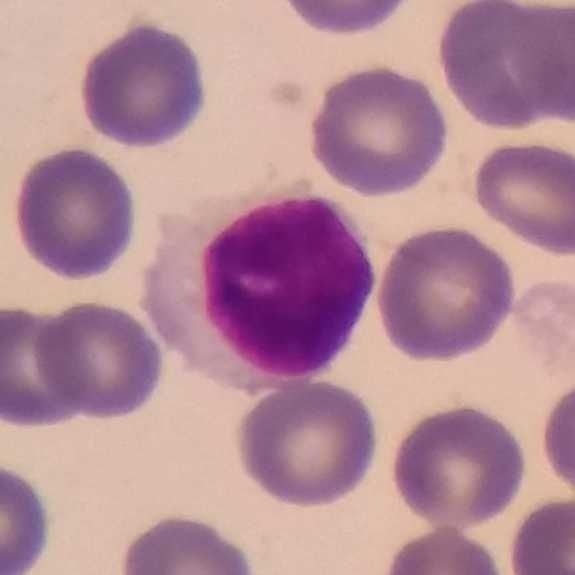

Context: Peripheral blood film. 100× magnification.
Morphology — lymphocyte.